Peripheral blood smear. 575 by 575 pixels. 100× magnification.
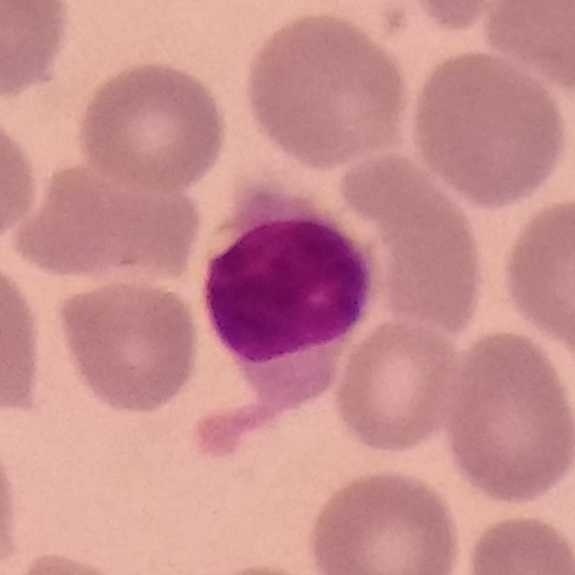White blood cell type — lymphocyte.